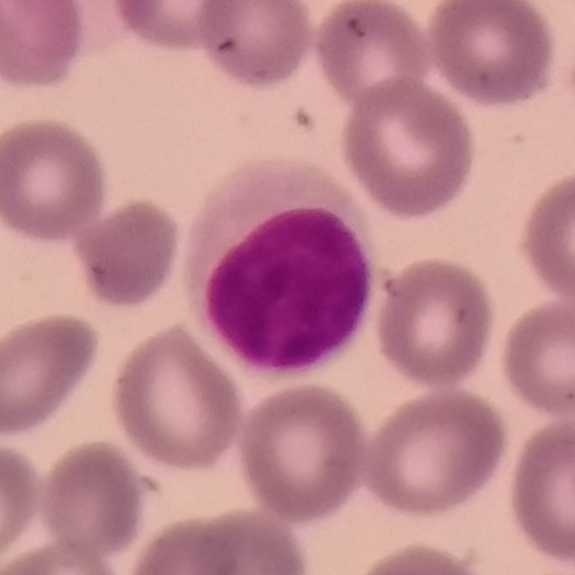 Peripheral blood smear.
Q: Which type of white blood cell is this?
A: It is a lymphocyte.